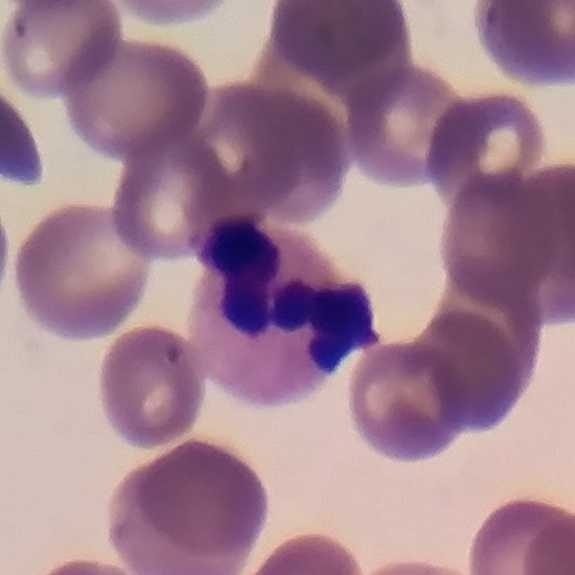 Showing a neutrophil. Peripheral blood smear.